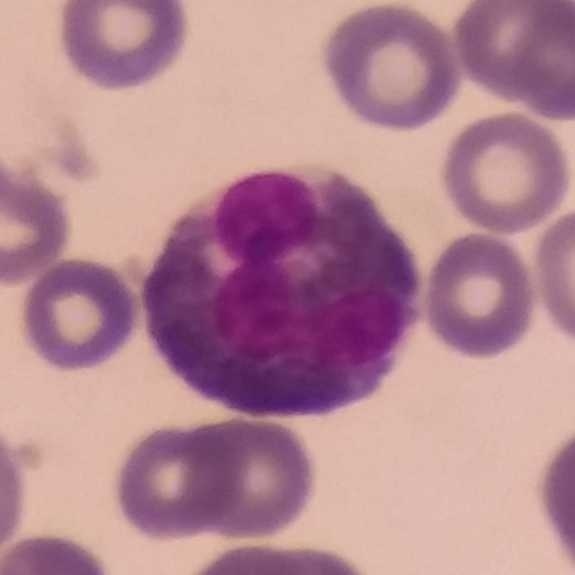Identified as an eosinophilic granulocyte. Image: Magnification 100×. Peripheral blood film.